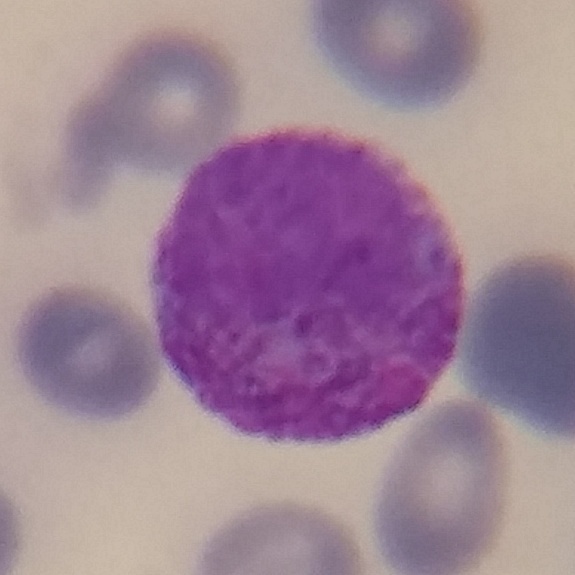
The morphological class is basophilic granulocyte.

Context: Peripheral blood smear; single-cell crop.